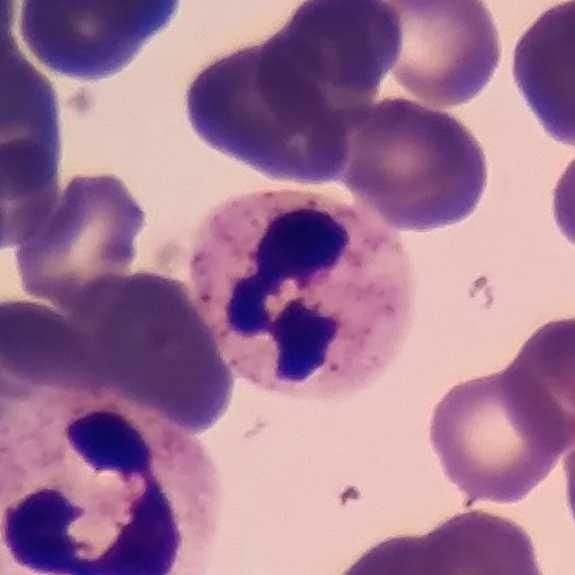

Morphological class — neutrophilic granulocyte.